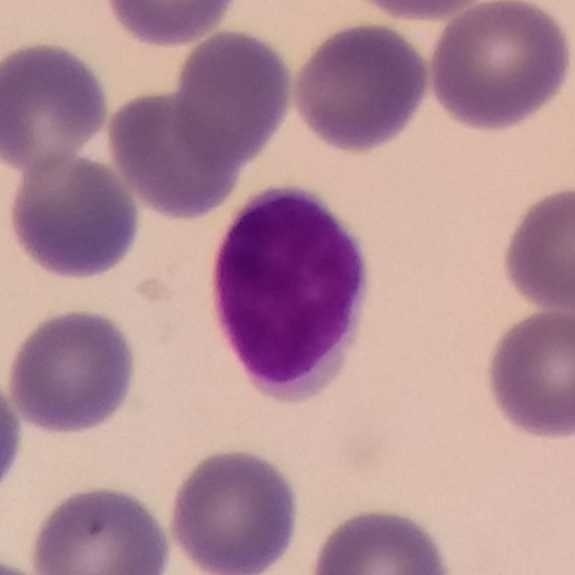
Morphology — lymphocyte. Peripheral blood film.